Peripheral blood film. Smartphone camera mounted on the microscope eyepiece:
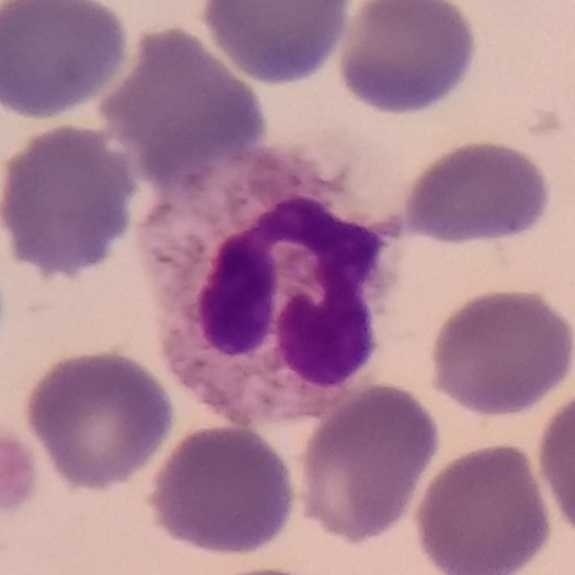Showing a neutrophil.